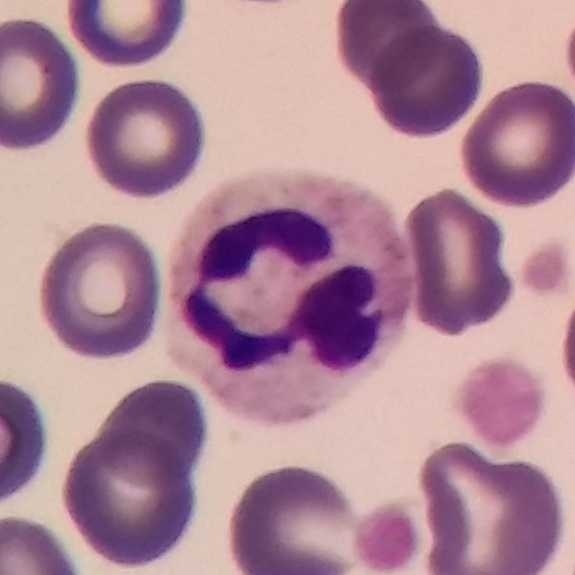
Specimen: peripheral blood film.
White blood cell type: neutrophil granulocyte.